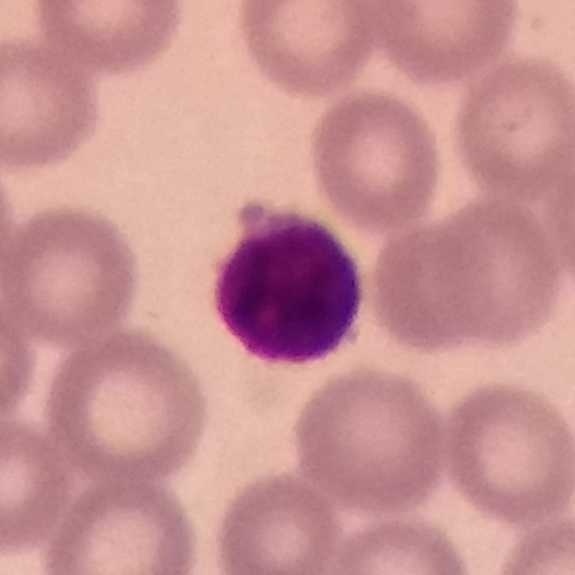
Q: What cell is this?
A: It is a lymphocyte.

Image: 100× magnification. Peripheral blood smear.